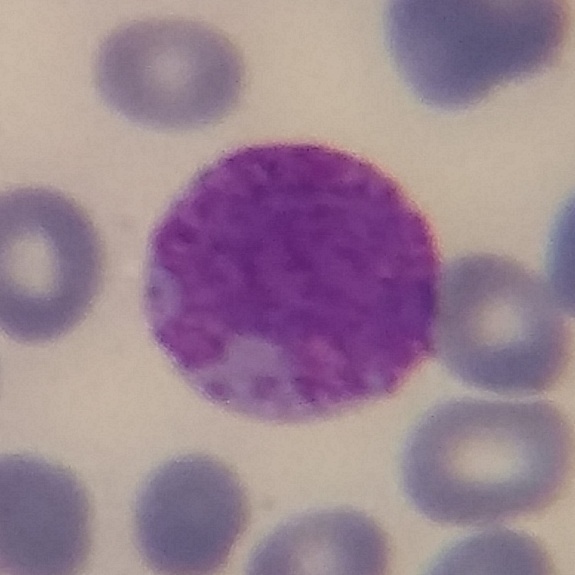Specimen: peripheral blood smear.
Morphological class: basophil.